Peripheral blood smear — 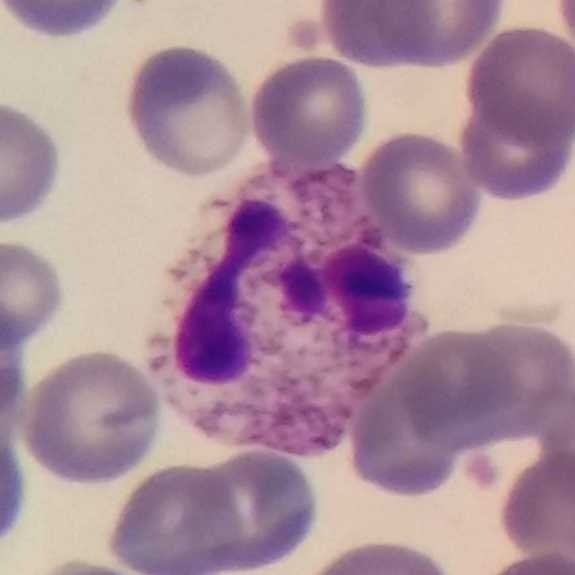Identified as a neutrophilic granulocyte.